Single white blood cell cropped from the smear photograph. Peripheral blood smear. 575 by 575 pixels:
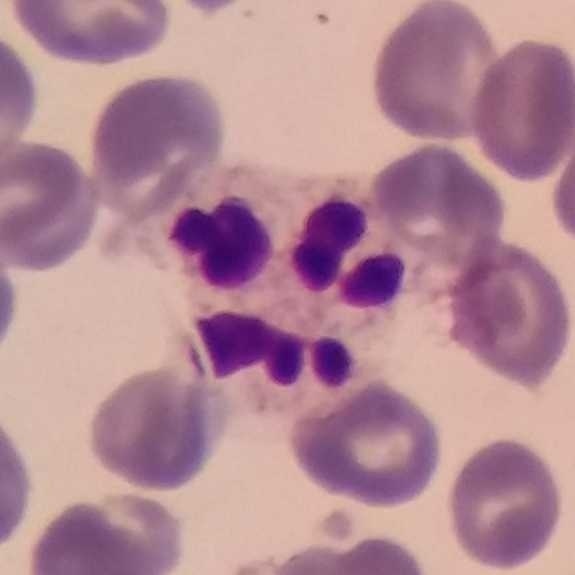
Q: What is the morphological classification of this cell?
A: This is a neutrophilic granulocyte.